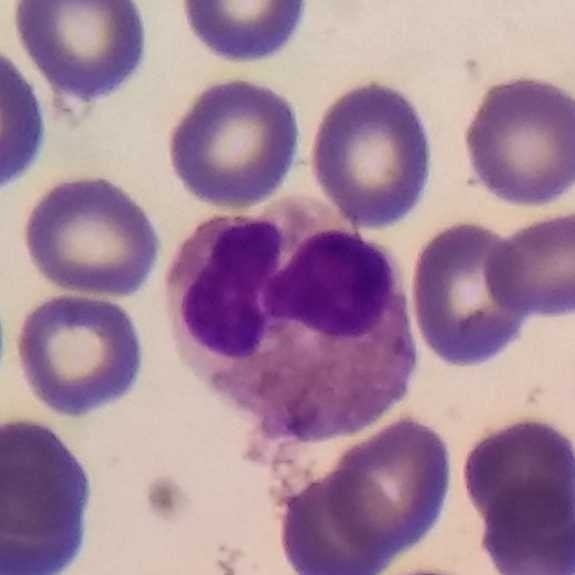 Single cell identified as an eosinophil.

Image: Single-cell field · peripheral blood film · smartphone camera mounted on the microscope eyepiece.